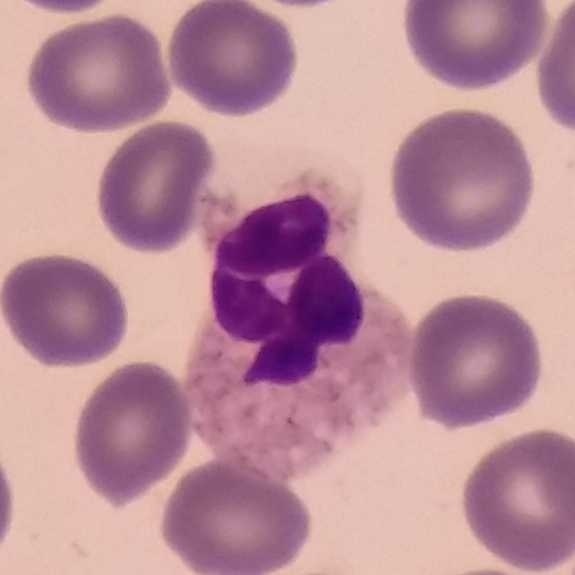
Acquisition: Image size 575×575; Giemsa stain; peripheral blood smear.
The morphological class is neutrophil.